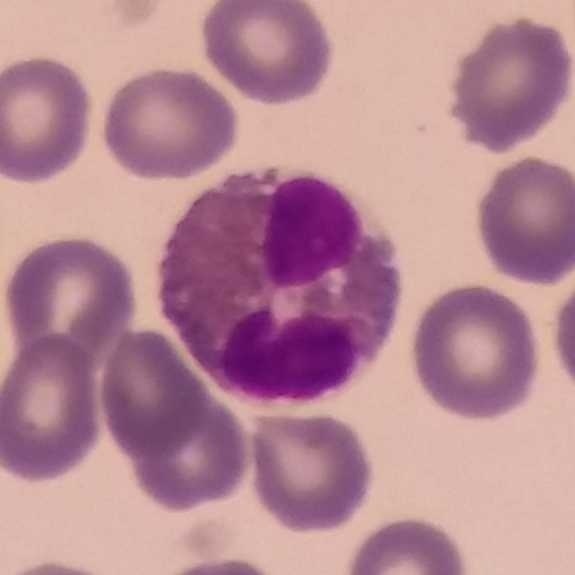
{"cell_type": "eosinophil", "lineage": "myeloid"}

Peripheral blood smear.